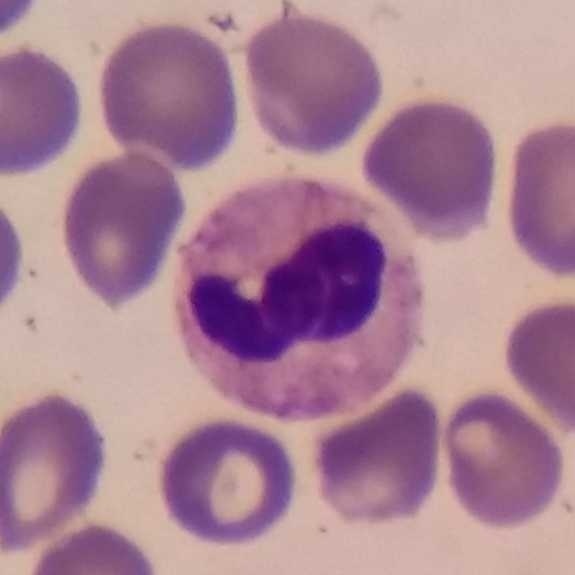 Classification: neutrophil.
Peripheral blood film.